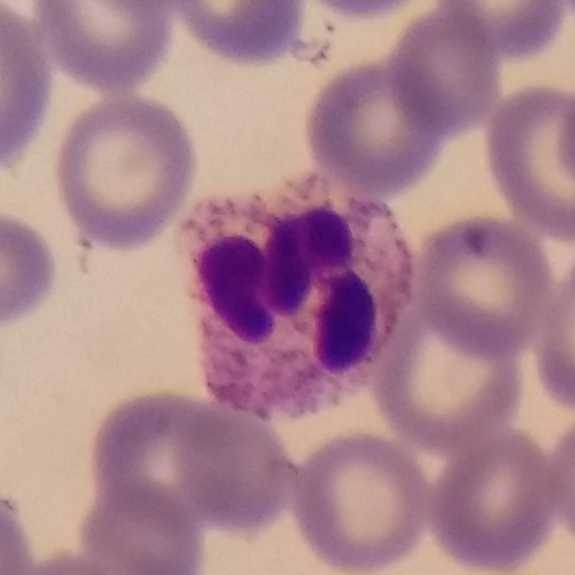The white blood cell type is neutrophilic granulocyte. Preparation: Peripheral blood smear.